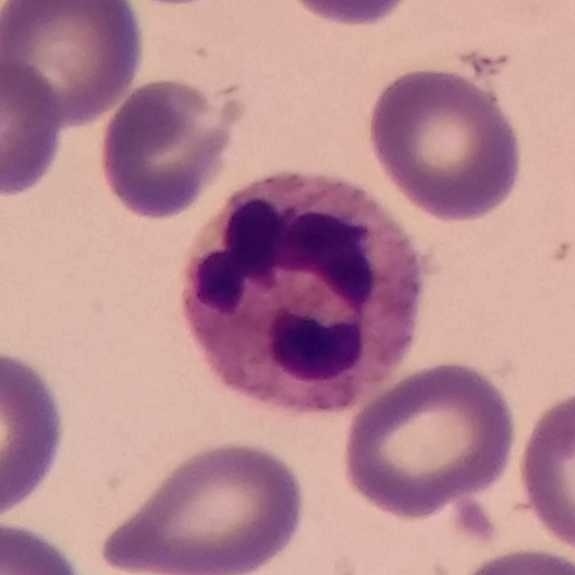Image: Peripheral blood film. Q: What is the morphological classification of this cell?
A: It is a neutrophil.